Single-cell field · peripheral blood smear:
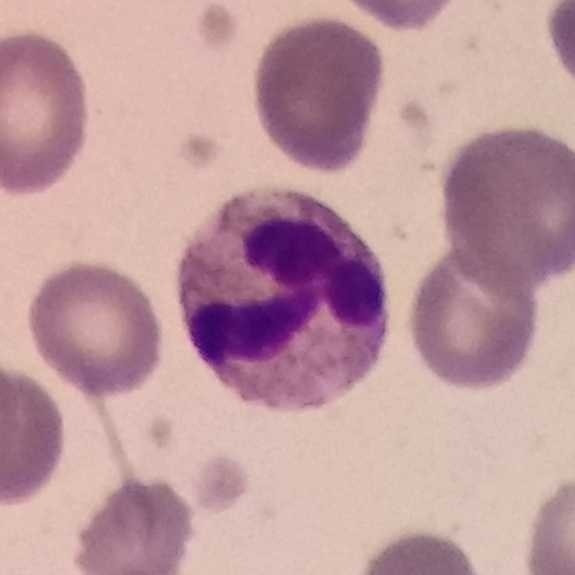 Specimen: peripheral blood smear.
Morphological class: neutrophil granulocyte.
Lineage: myeloid.